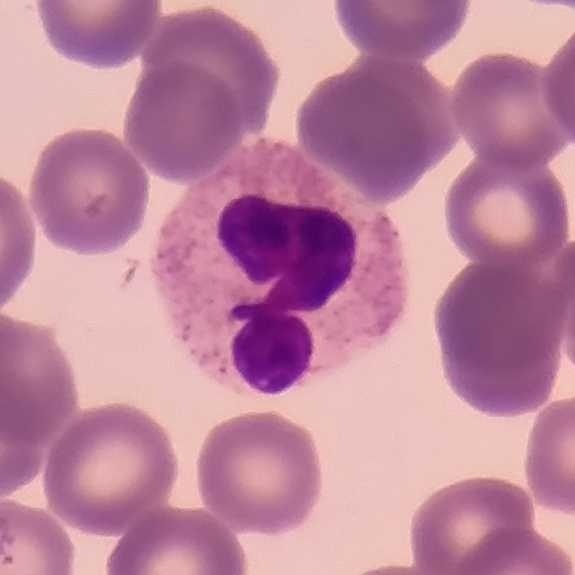 Morphology → neutrophil. Preparation: Giemsa stain; peripheral blood smear.